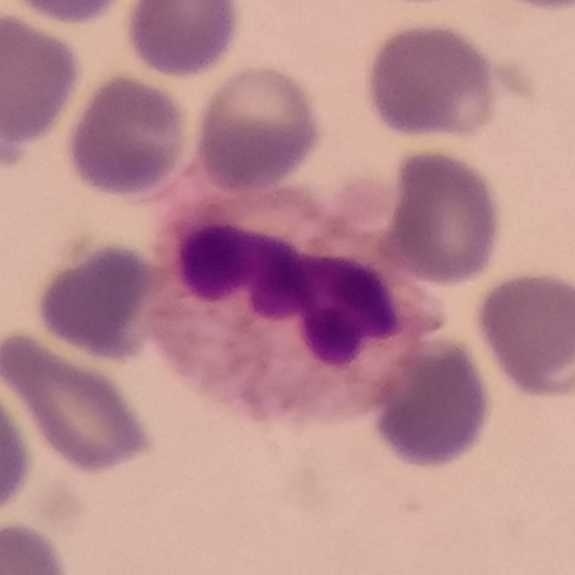Acquisition: Peripheral blood smear.
Morphology consistent with a neutrophil granulocyte.